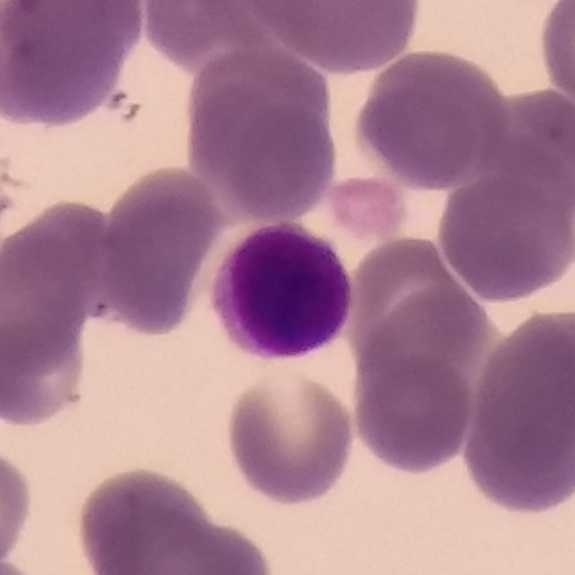 Lymphocyte. Context: Peripheral blood smear; stained with Giemsa; single white blood cell cropped from the smear photograph.